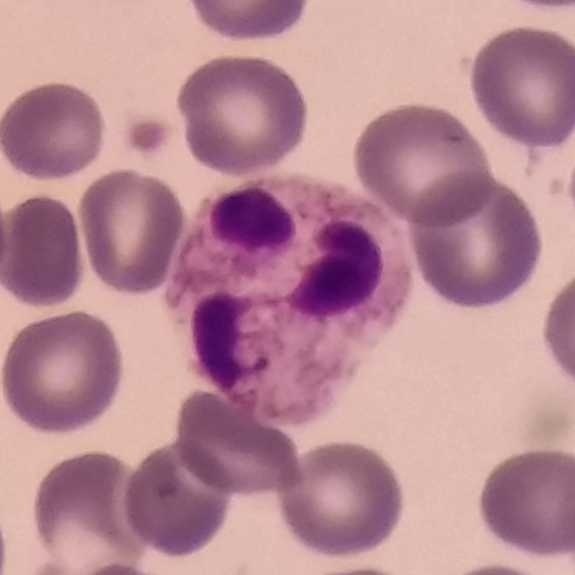Q: What cell is this?
A: Neutrophil granulocyte. Preparation: 575×575. Peripheral blood film. Imaged at 100×.